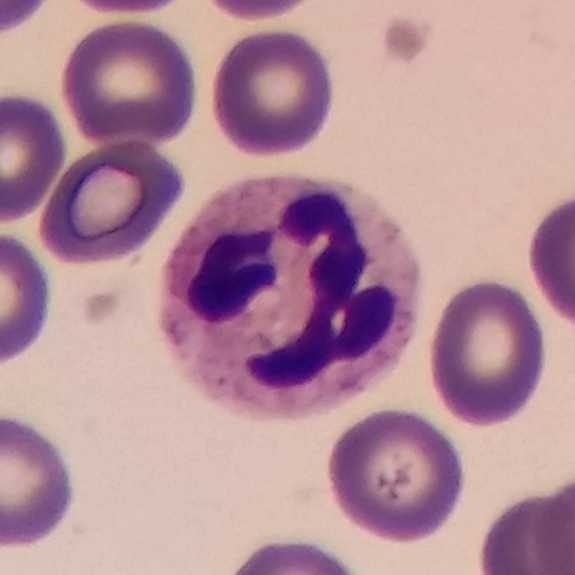
Classification — neutrophil granulocyte.